Peripheral blood film
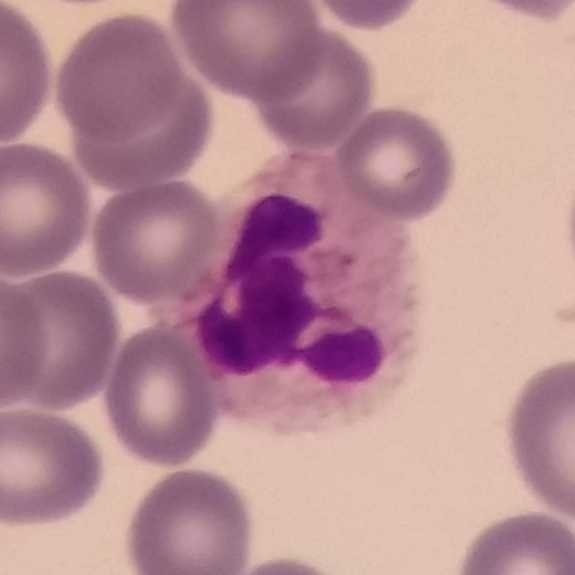The cell is neutrophil.